Peripheral blood smear: 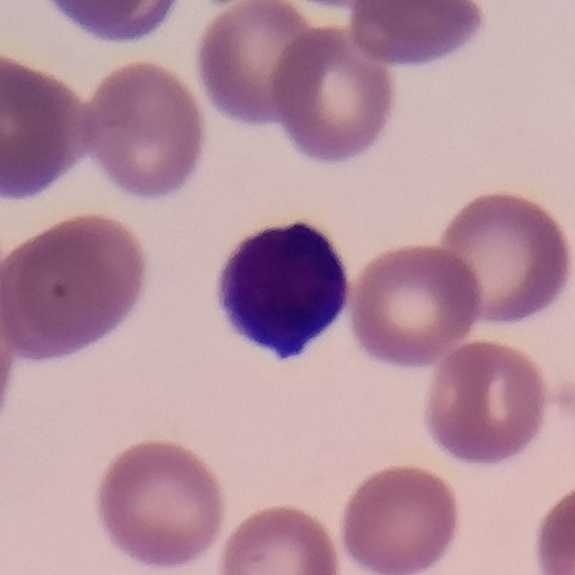

Specimen: peripheral blood film.
Morphological class: lymphocyte.
Lineage: lymphoid.